Peripheral blood smear. 575×575. Single white blood cell cropped from the smear photograph:
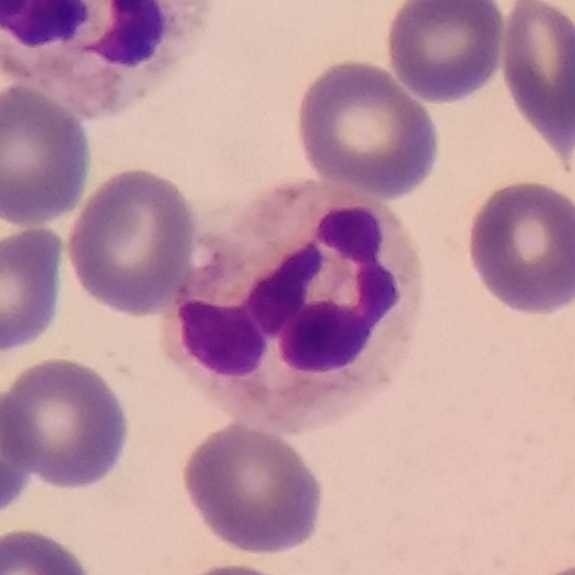 Cell = neutrophil.